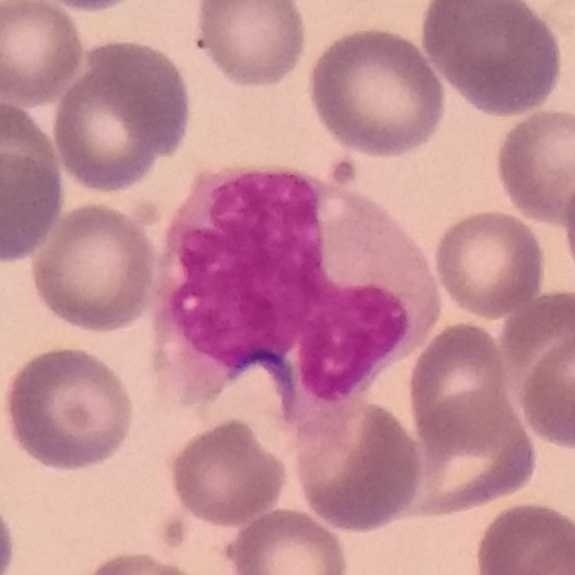

Q: Classify this leukocyte.
A: Monocyte.